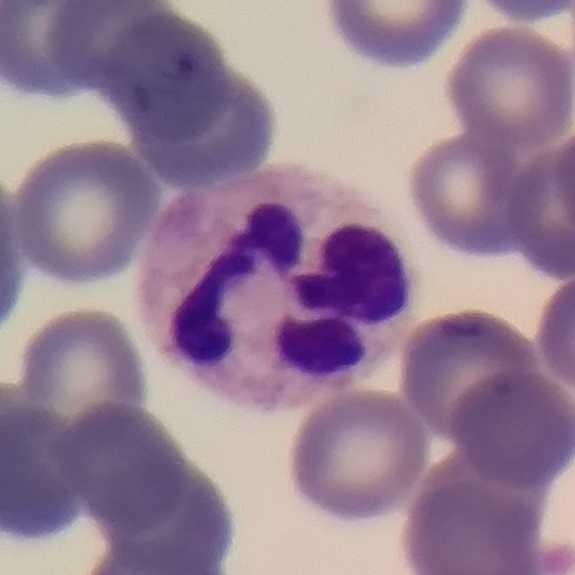 Classification = neutrophil. Peripheral blood film · magnification 100×.